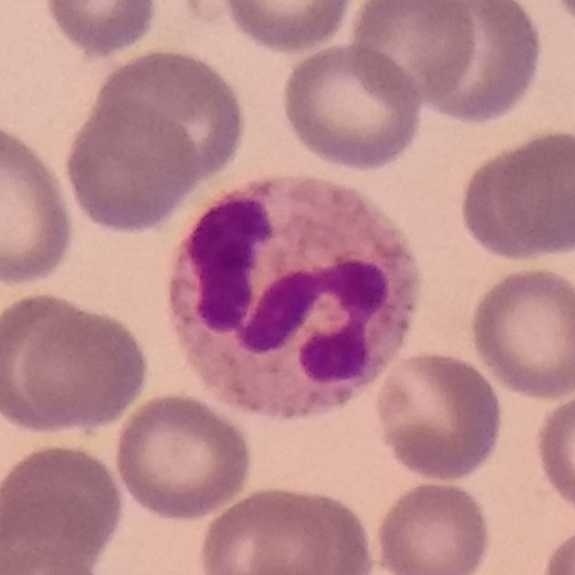Single cell identified as a neutrophilic granulocyte. Context: Peripheral blood film · magnification 100×.